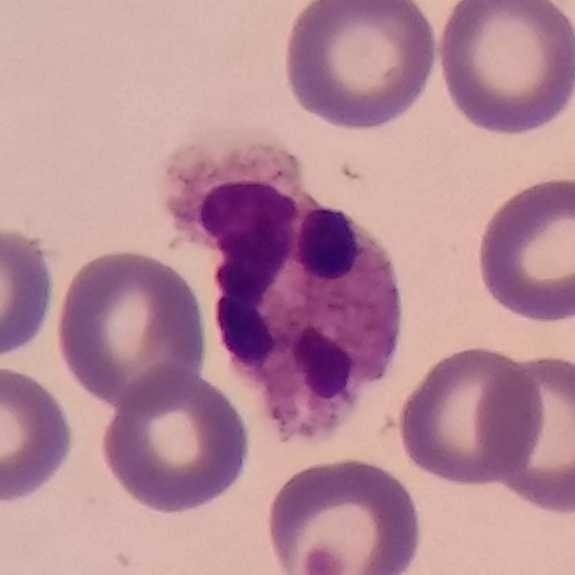 Peripheral blood smear showing a neutrophilic granulocyte.